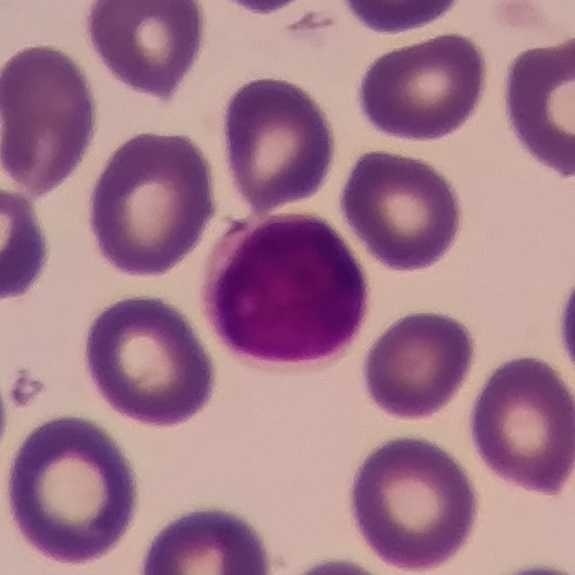
Preparation: Peripheral blood film · imaged at 100×. {"cell_type": "lymphocyte"}